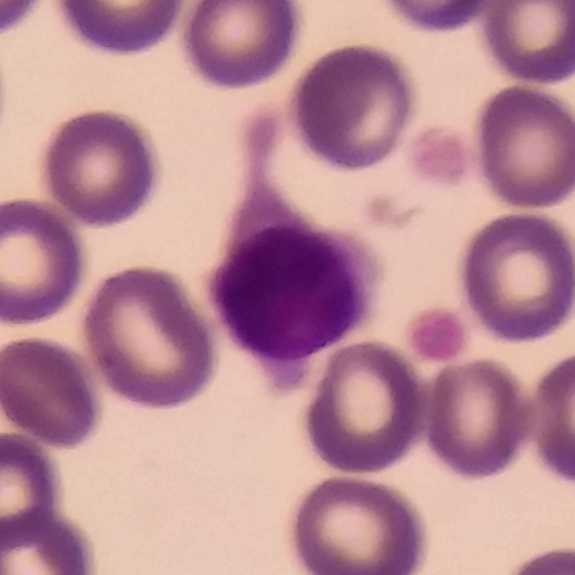Peripheral blood smear. Stained with Giemsa. Cell = lymphocyte.